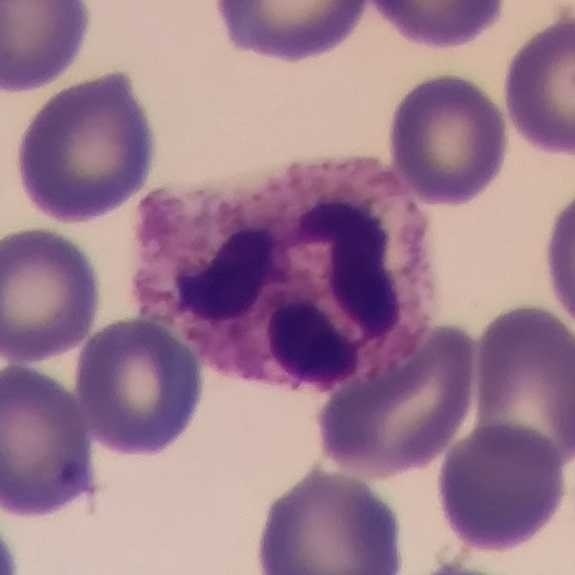Acquisition: Peripheral blood smear. Giemsa stain.
{"cell_type": "neutrophil"}